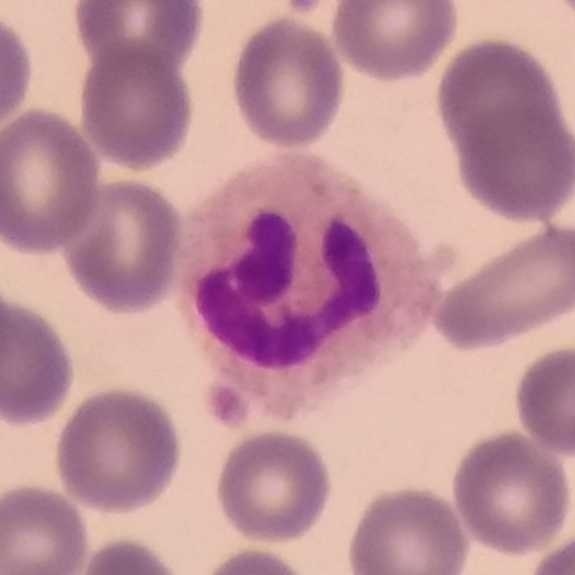
Peripheral blood smear · image size 575×575 · Giemsa-stained.
Showing a neutrophil.